Peripheral blood smear · 100× magnification — 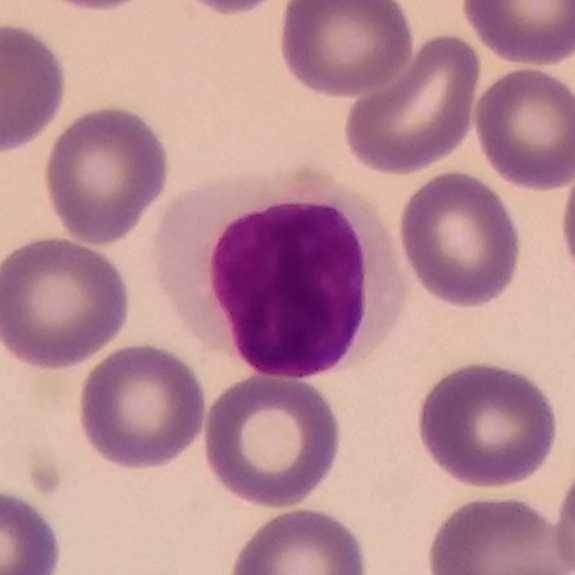 A lymphocyte.